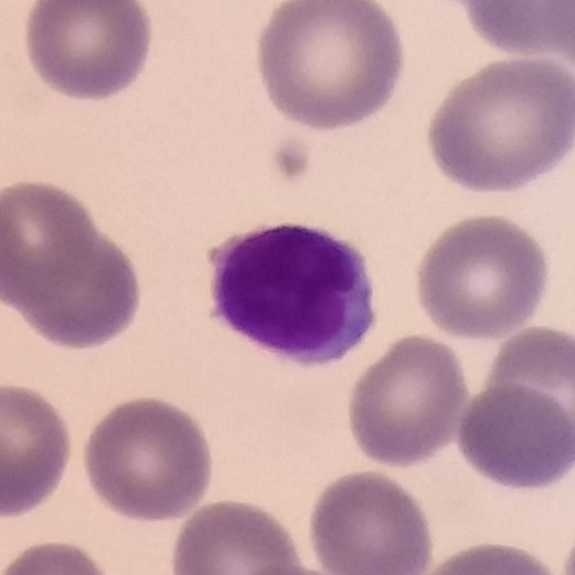Impression — lymphocyte.
Image: Peripheral blood film.